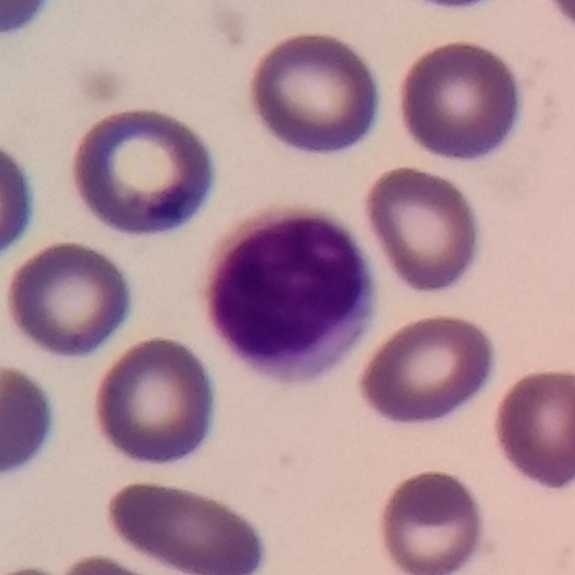 Q: What is this?
A: A lymphocyte. Image: Single-cell crop; phone-camera image taken through the microscope ocular; peripheral blood film.